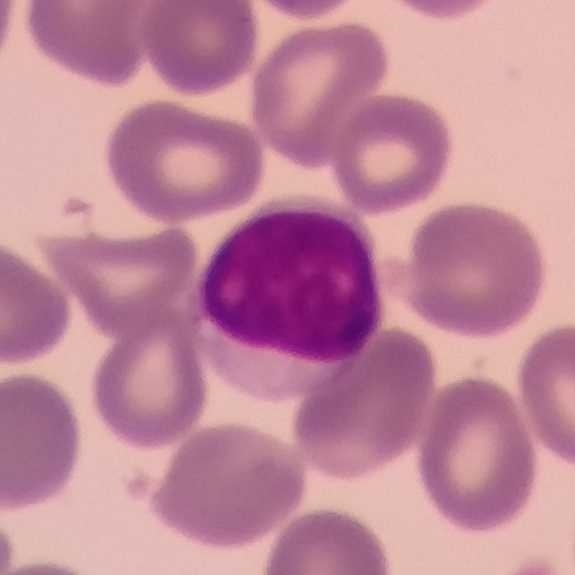Classification: lymphocyte.

Acquisition: Peripheral blood film · 575×575.